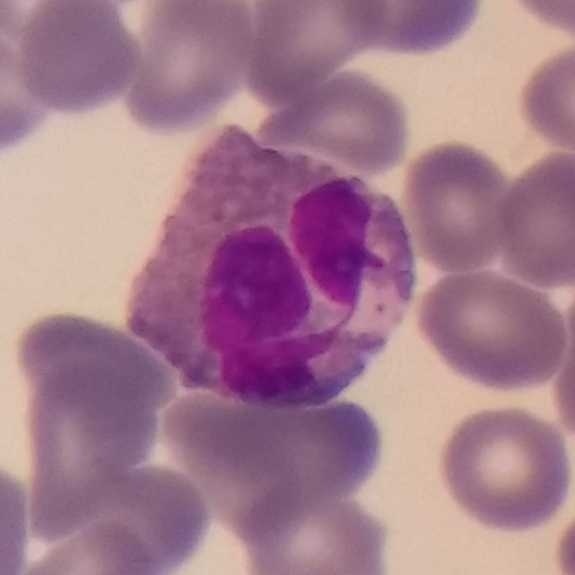Identified as an eosinophil.

Image: Giemsa stain · peripheral blood film.